575×575 · peripheral blood film.
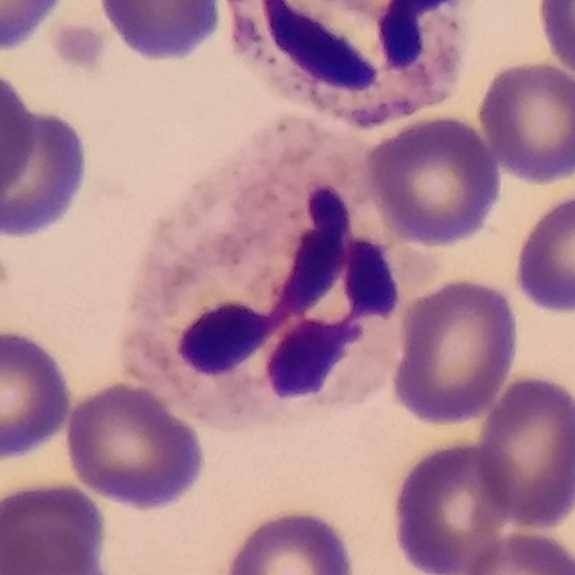

Identified as a neutrophil granulocyte.